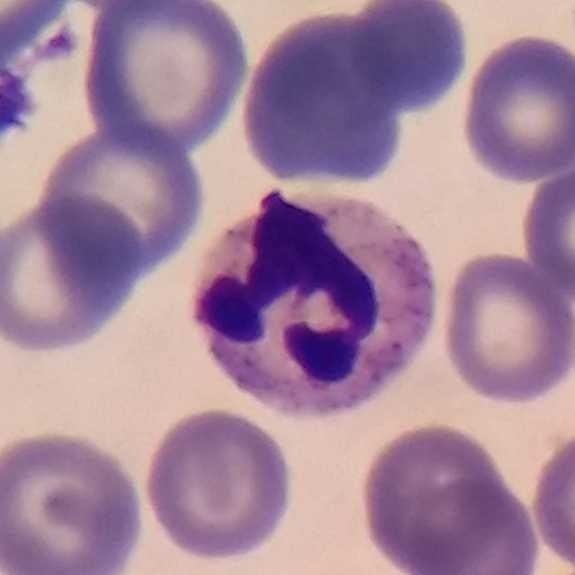
Preparation: Single-cell field; peripheral blood smear.

Morphology — neutrophil granulocyte.